Peripheral blood film: 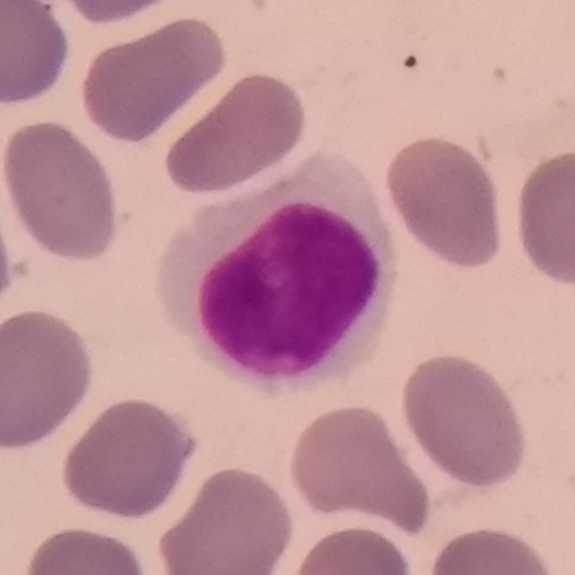Cell — lymphocyte.